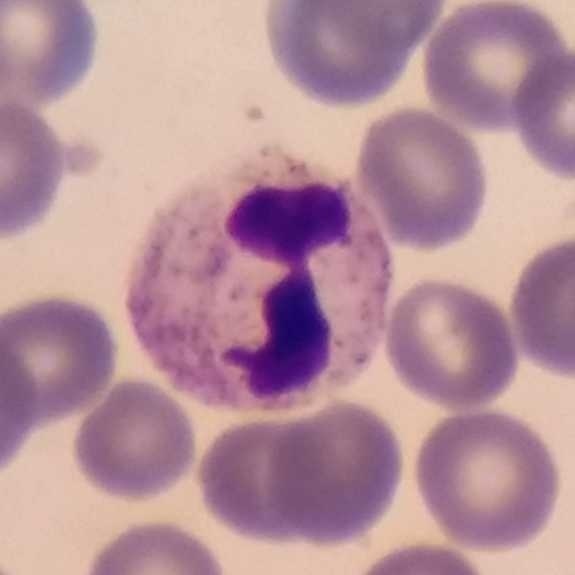Specimen: peripheral blood film.
White blood cell type: neutrophil.
Lineage: myeloid.
Giemsa stain; photographed through a light microscope with a smartphone camera.